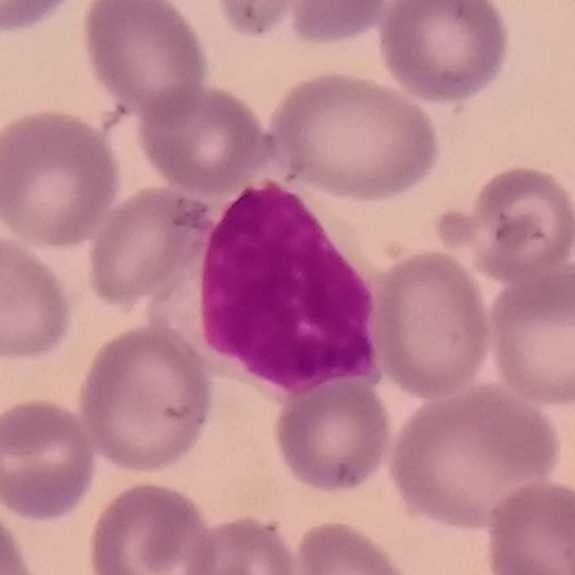

Acquisition: Peripheral blood film.

Q: Identify the cell.
A: Lymphocyte.